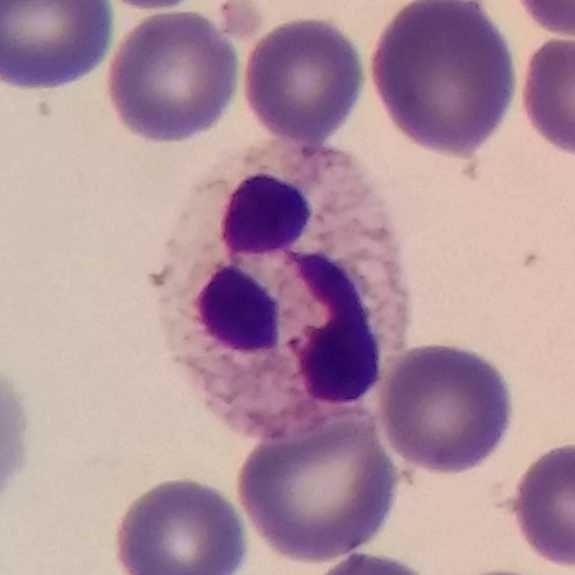 Acquisition: Peripheral blood smear. 575×575 px.
Classification = neutrophilic granulocyte.